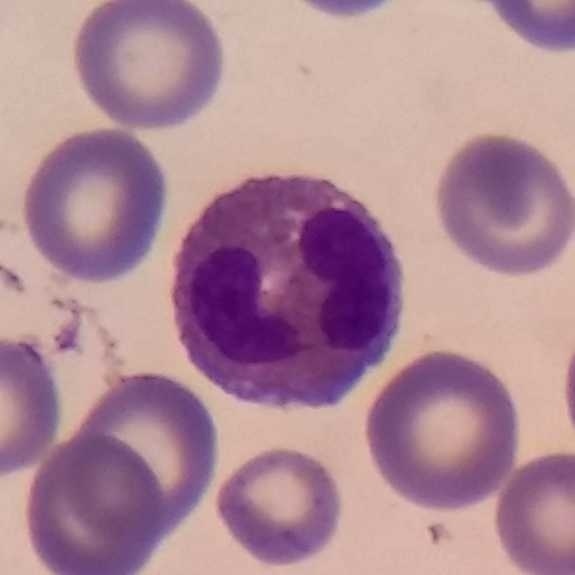 Peripheral blood film, single cell — eosinophilic granulocyte.